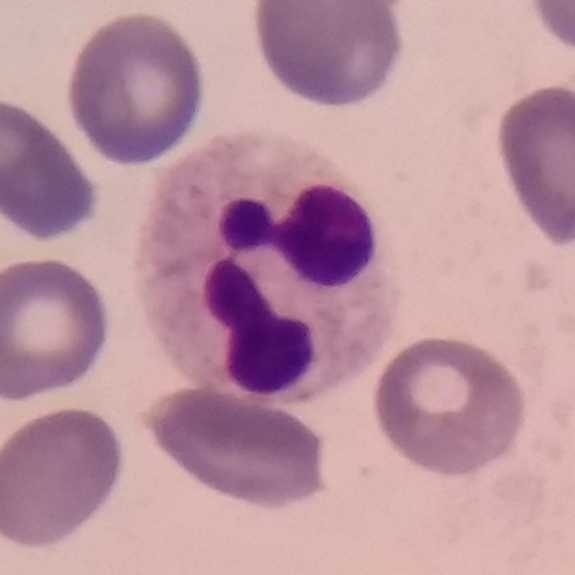Q: Identify the cell.
A: This is a neutrophil.